Peripheral blood smear — 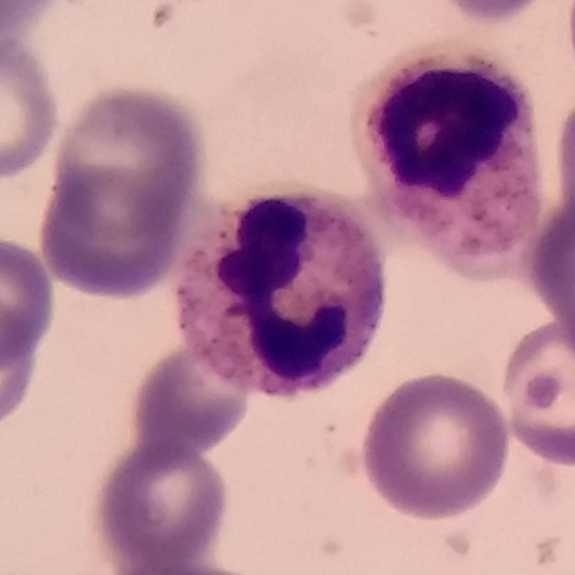Q: What cell is this?
A: It is a neutrophil granulocyte.